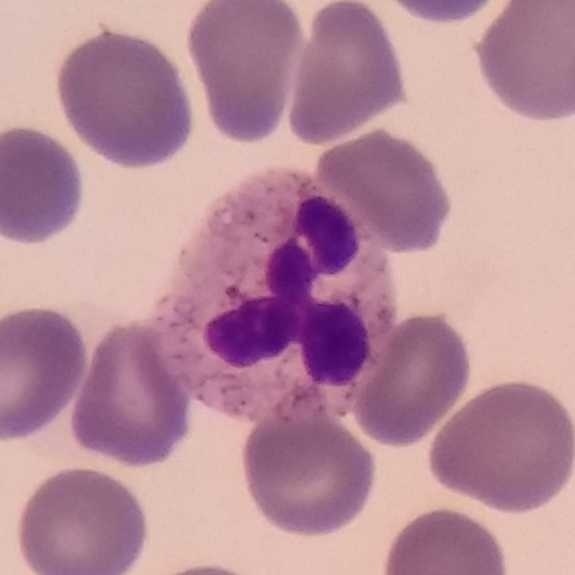
Morphological class = neutrophil.